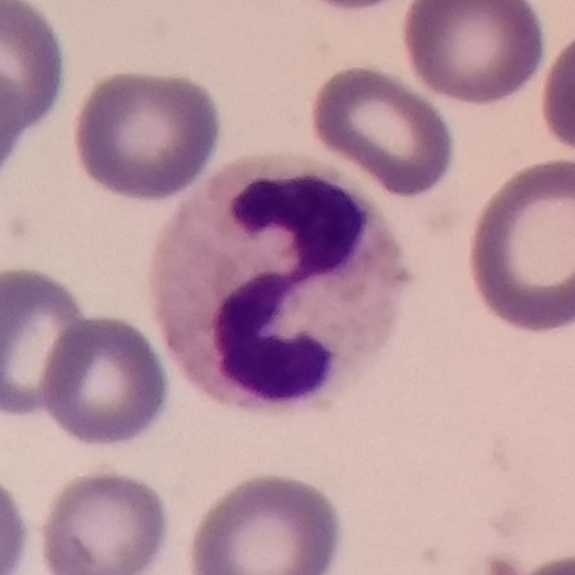
Image: Peripheral blood film.
Morphology — neutrophil.